Peripheral blood film: 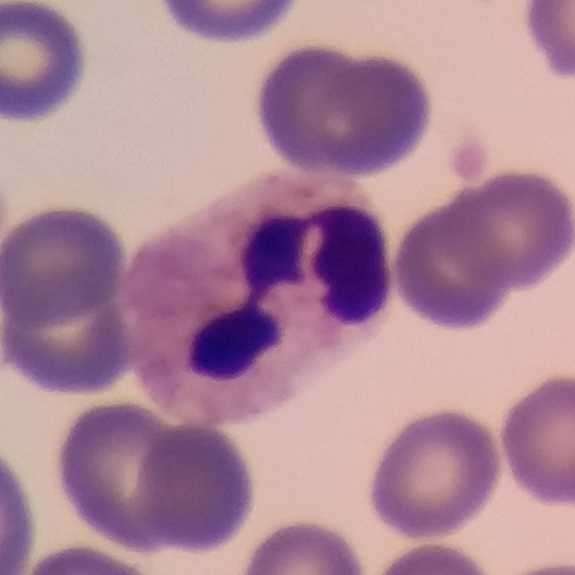Identified as a neutrophil granulocyte.